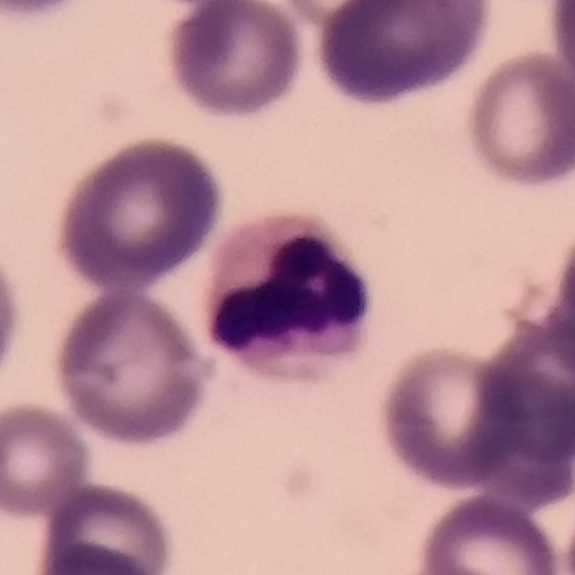
Morphology — neutrophil granulocyte.

Preparation: Peripheral blood smear. Phone-camera image taken through the microscope ocular.